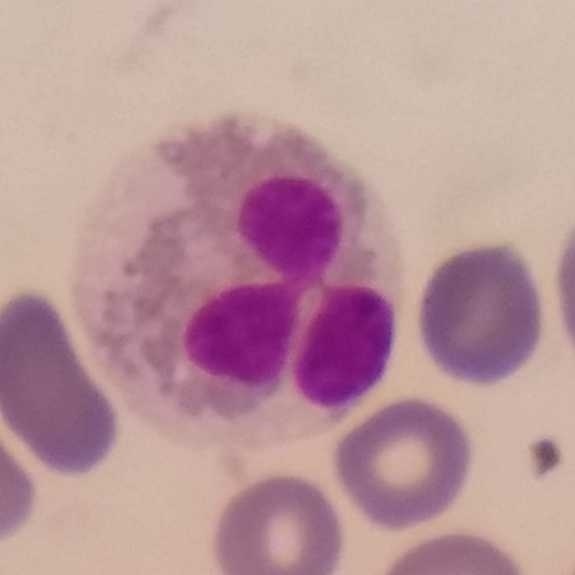Peripheral blood smear; 100× magnification.
Impression → eosinophilic granulocyte.